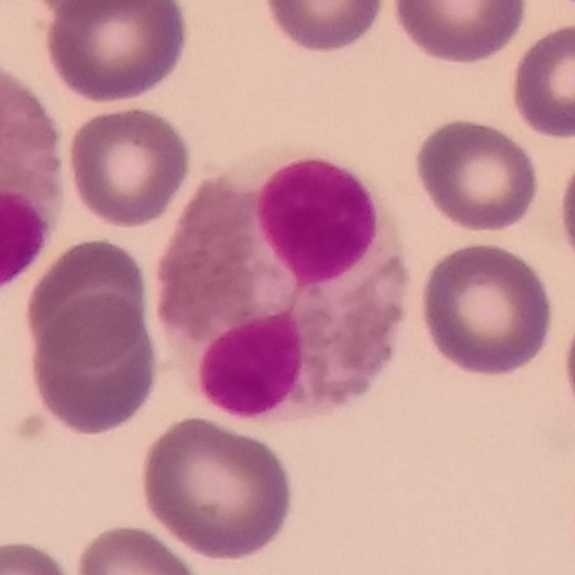
Context: Peripheral blood smear.

Q: What type of cell is this?
A: This is an eosinophilic granulocyte.